Peripheral blood smear; 575×575; 100× magnification — 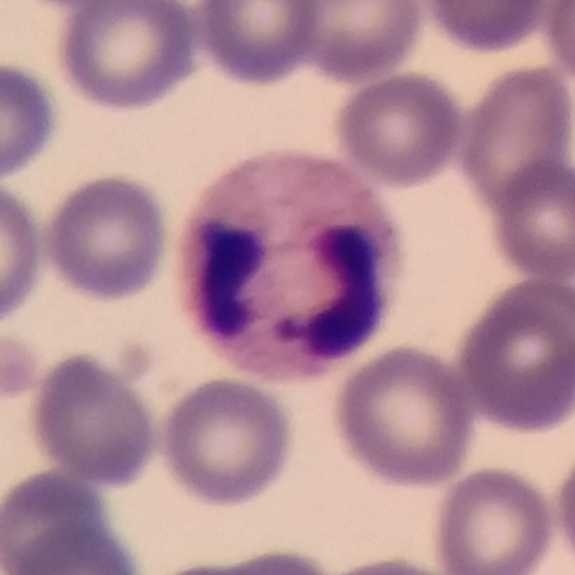{"cell_type": "neutrophil"}